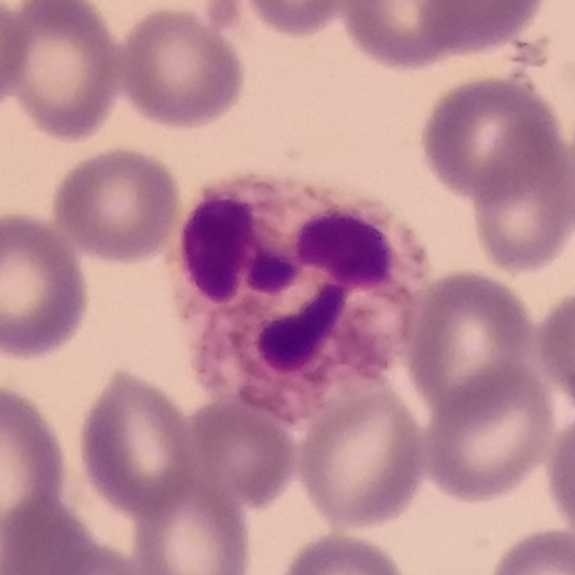Image: Single-cell crop · magnification 100× · peripheral blood film. Morphological class — neutrophil.